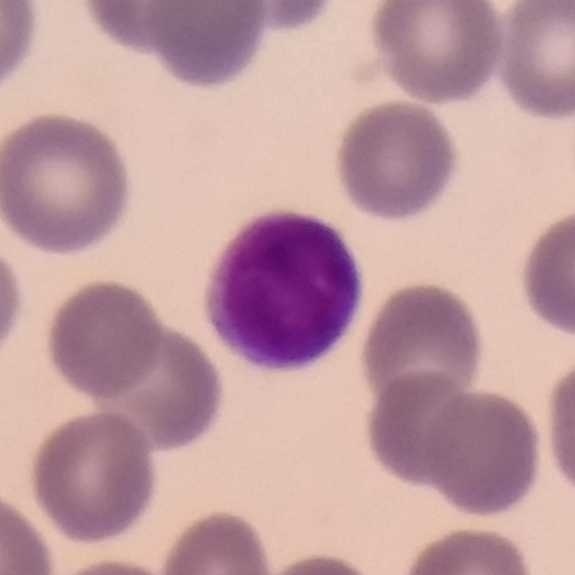

Morphology → lymphocyte.
Context: Photographed through a light microscope with a smartphone camera; peripheral blood smear; single white blood cell cropped from the smear photograph.